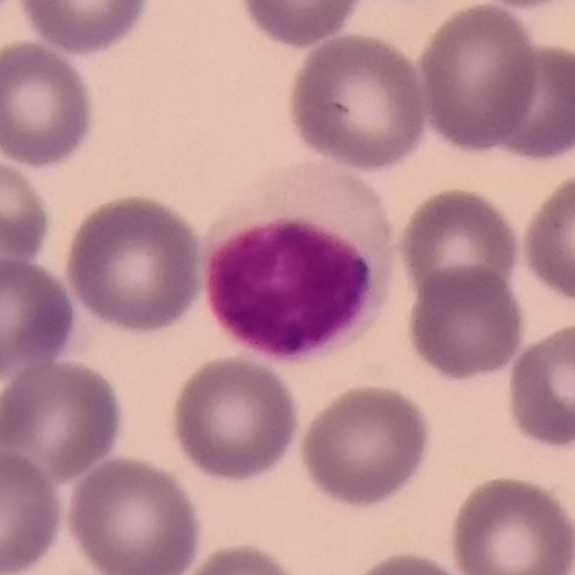

Q: What is shown here?
A: It is a lymphocyte.
Peripheral blood film.